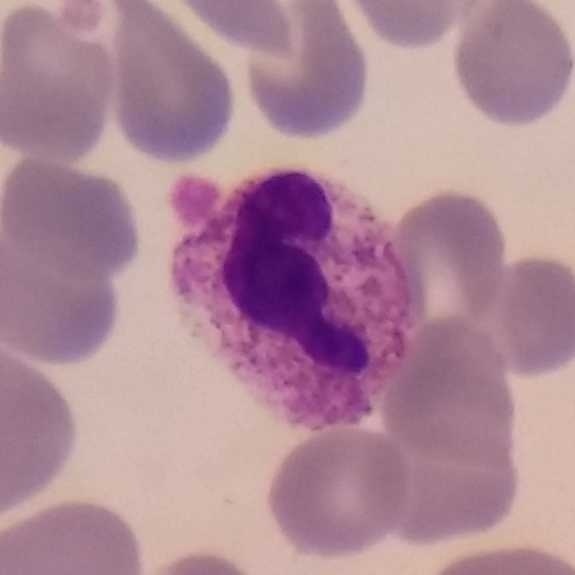

Peripheral blood smear.

A neutrophil.